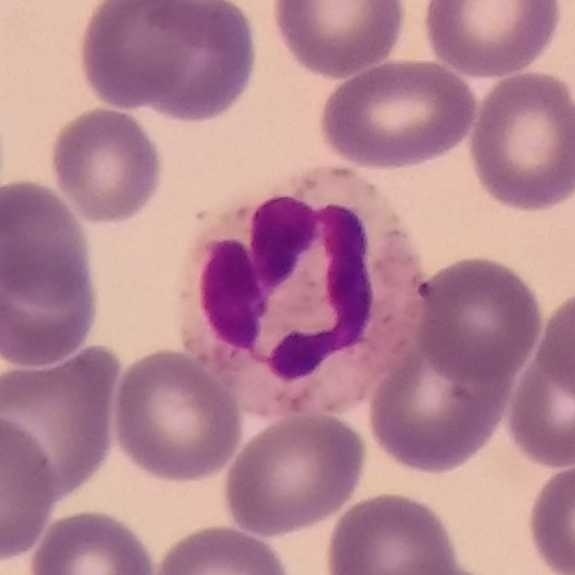

Cell — neutrophil granulocyte.
Peripheral blood smear.